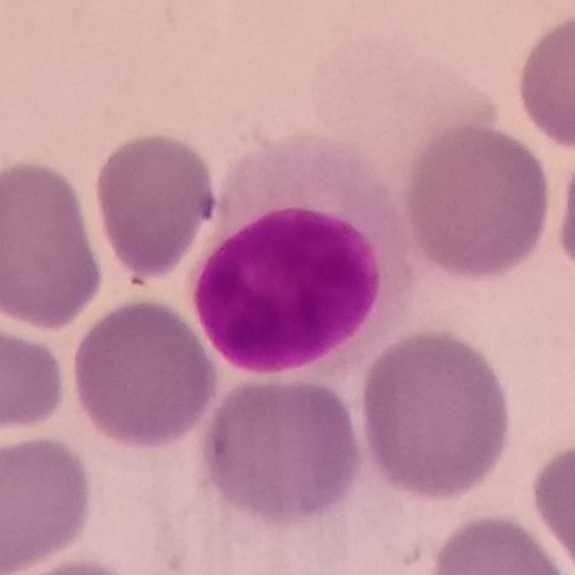

Preparation: Peripheral blood film · 575×575 px.

Cell = lymphocyte.